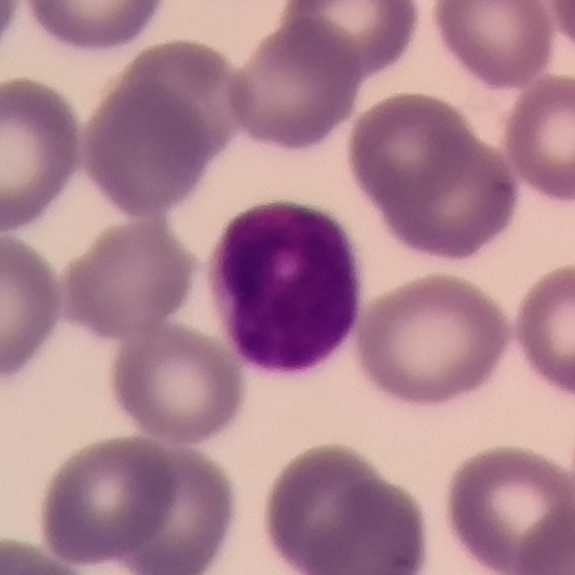 Context: Peripheral blood smear; 575×575 px.
White blood cell type — lymphocyte.